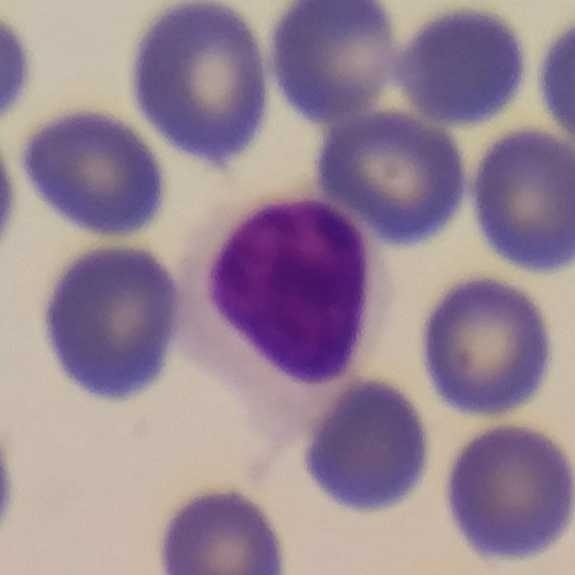

The white blood cell type is lymphocyte.